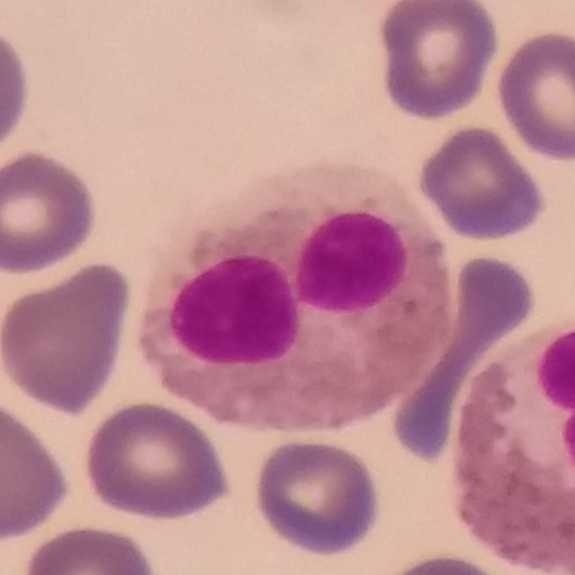

Cell type — eosinophilic granulocyte. Acquisition: Peripheral blood smear; 575 by 575 pixels; Giemsa-stained.